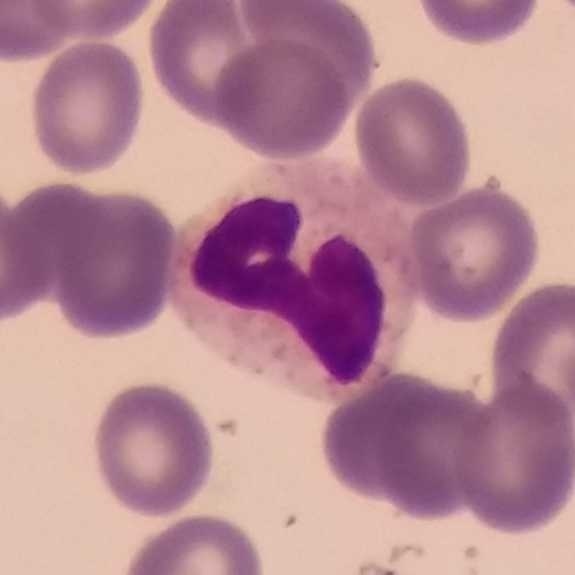

Q: What is this?
A: This is a neutrophil granulocyte.